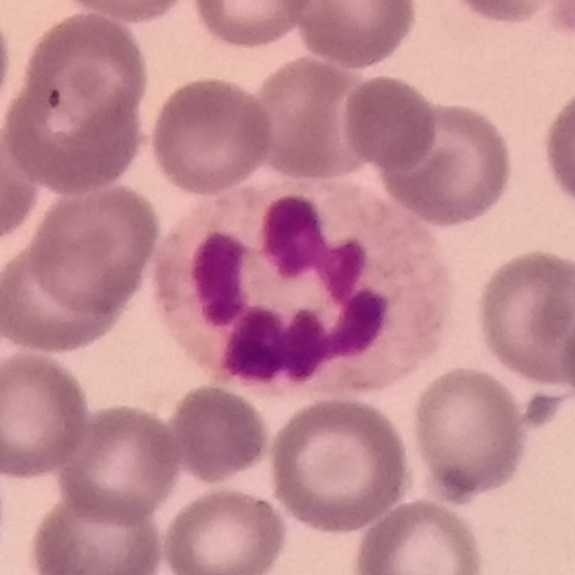The white blood cell type is neutrophil.